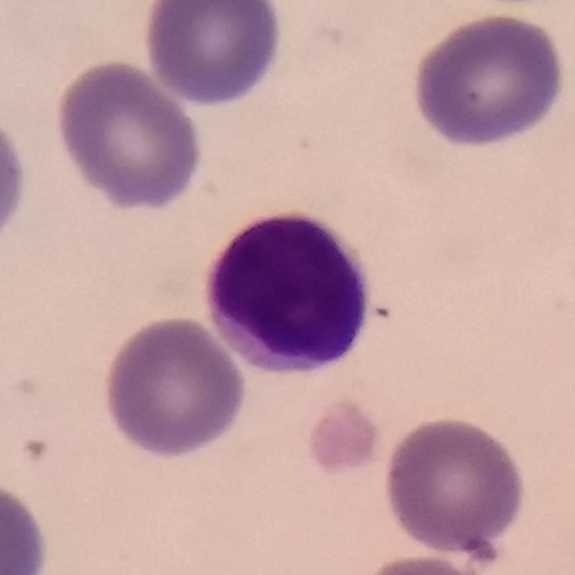

Classification = lymphocyte.

Context: Smartphone photomicrograph; peripheral blood film.